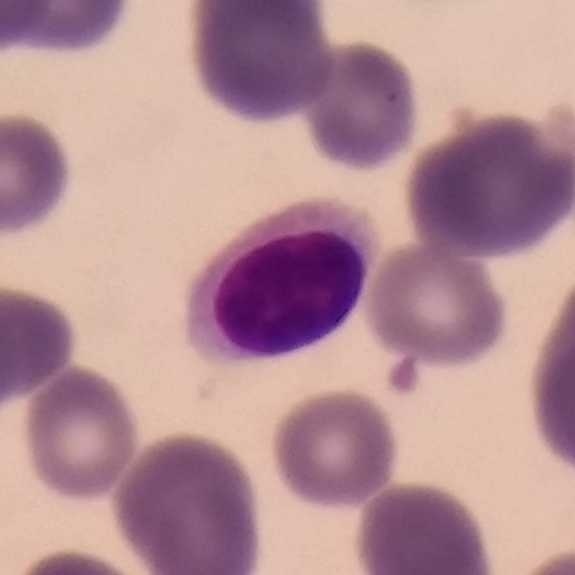Image: Peripheral blood smear. 575×575.
Cell: lymphocyte.